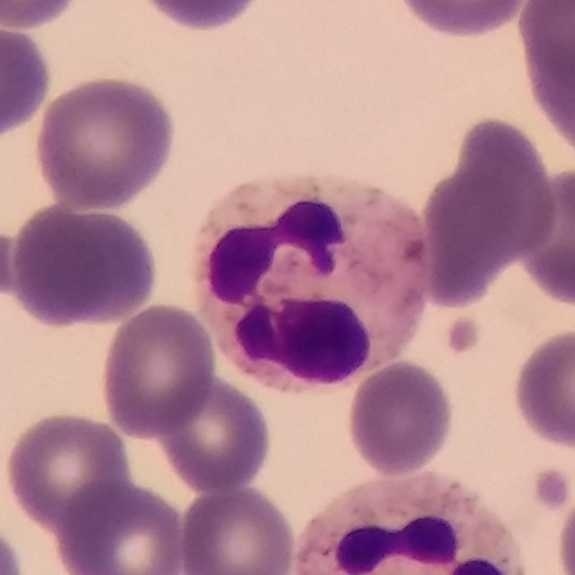

Q: Identify the cell.
A: A neutrophil. Context: Giemsa stain. Peripheral blood smear.